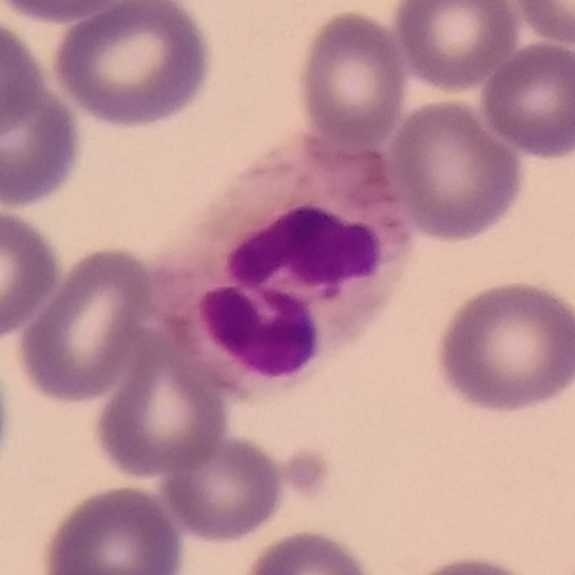{"cell_type": "neutrophil granulocyte"}